Peripheral blood smear:
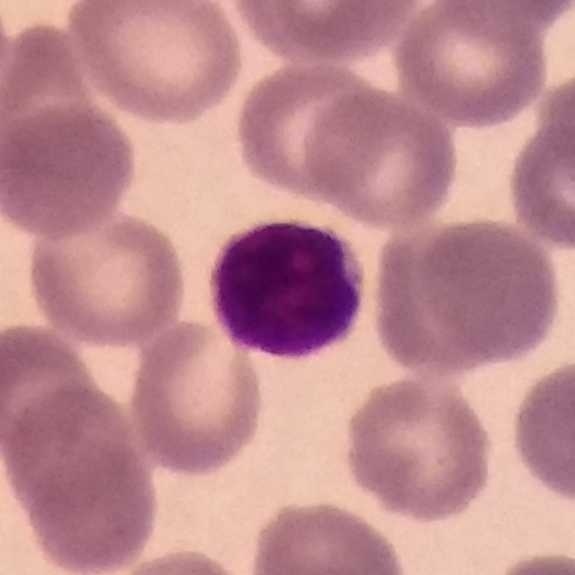The morphological class is lymphocyte.